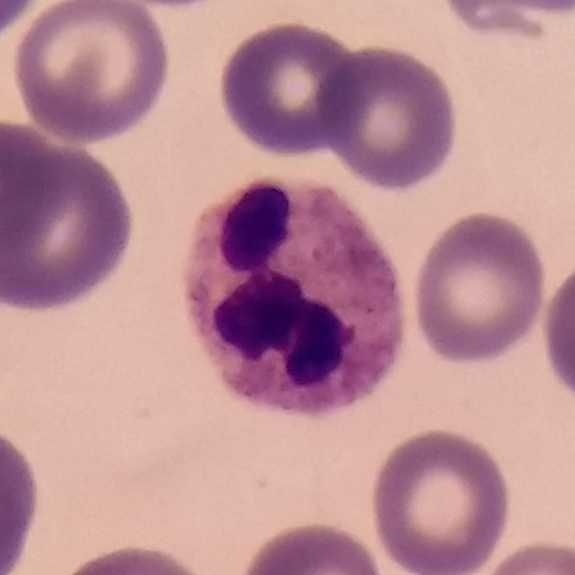 Q: What is the morphological classification of this cell?
A: It is a neutrophil granulocyte.
Image: Phone-camera image taken through the microscope ocular; peripheral blood film; 575×575.